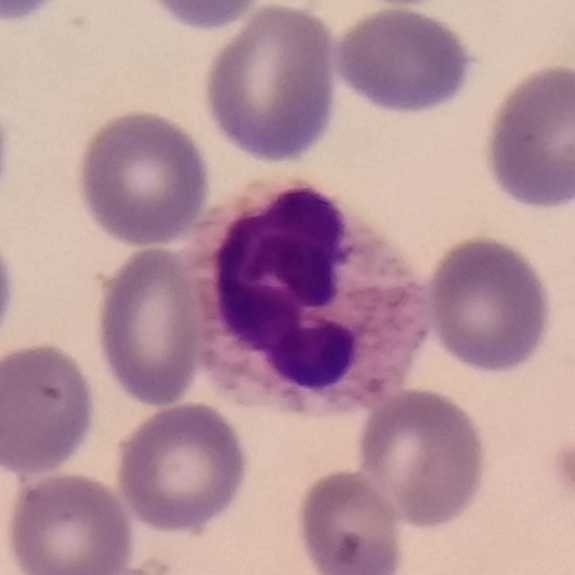
Cell type — neutrophil granulocyte.